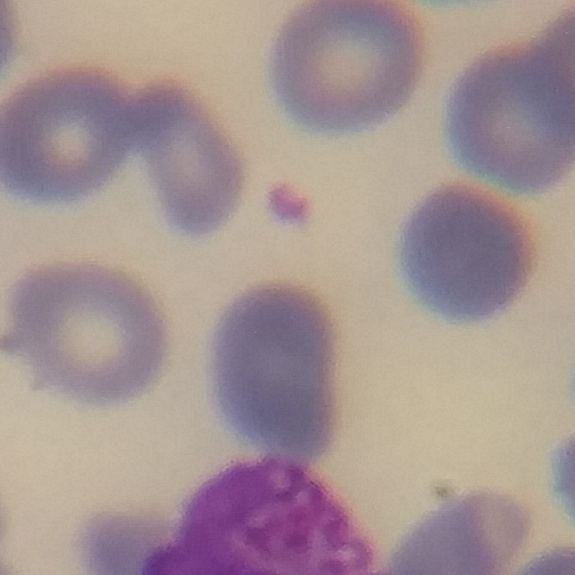

A basophil. Smartphone photomicrograph; single-cell crop; peripheral blood smear.